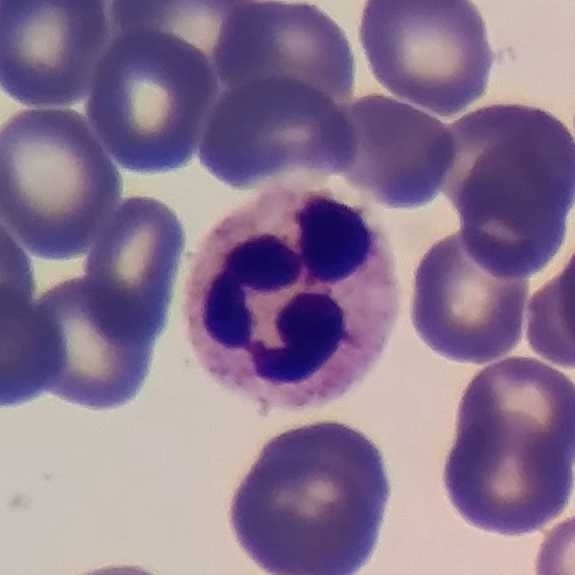Context: Giemsa-stained. Peripheral blood film. Single-cell field.

Single cell identified as a neutrophil.